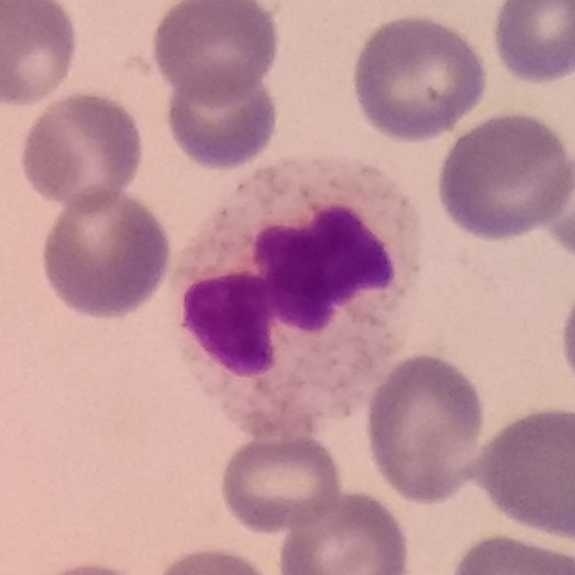

This is a neutrophilic granulocyte.

Peripheral blood smear.